Peripheral blood smear: 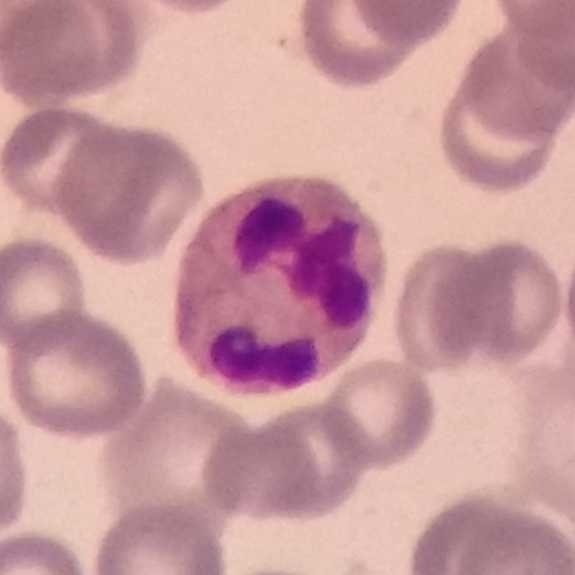
The white blood cell in this image is a neutrophil granulocyte.